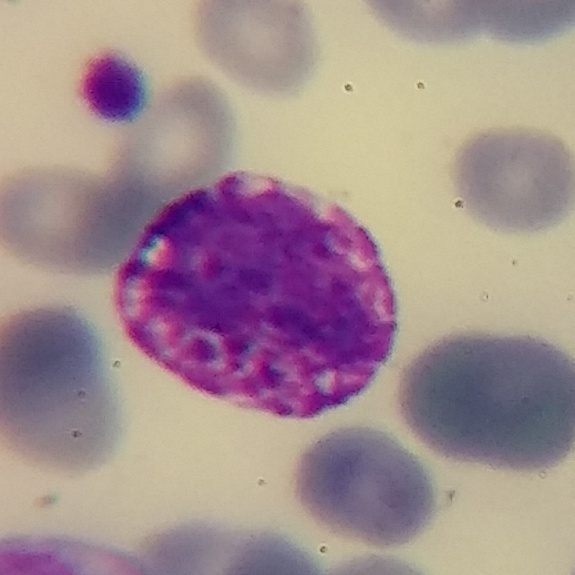
Specimen: peripheral blood smear.
Classification: basophil.
Lineage: myeloid.